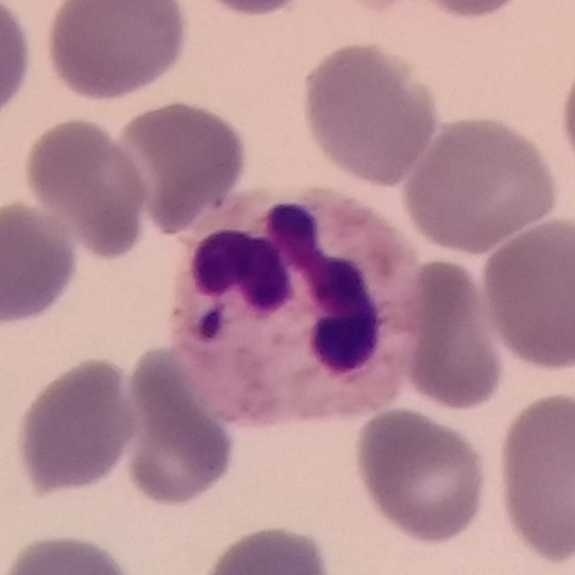Cell type = neutrophil.